Peripheral blood film; magnification 100×:
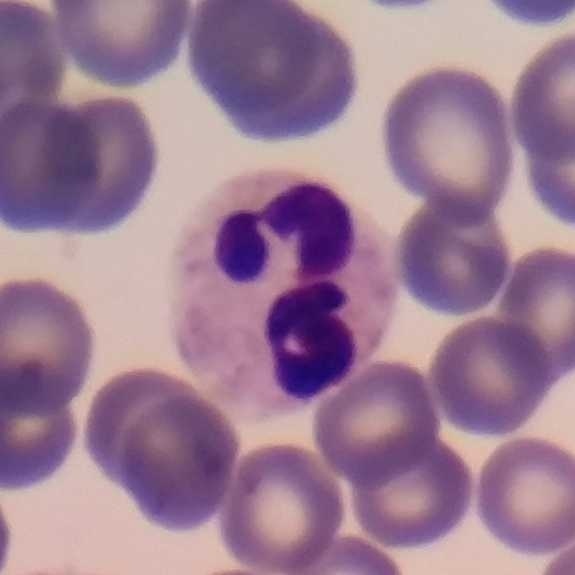

White blood cell type — neutrophil granulocyte.